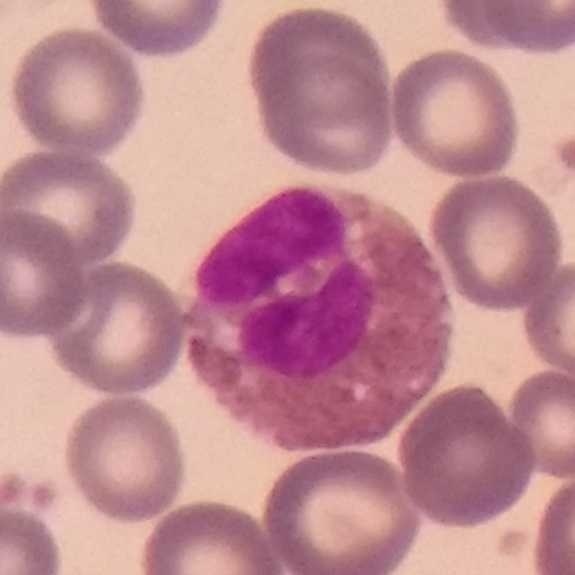

Morphology → eosinophilic granulocyte. Acquisition: Peripheral blood smear; photographed through a light microscope with a smartphone camera.